Peripheral blood film:
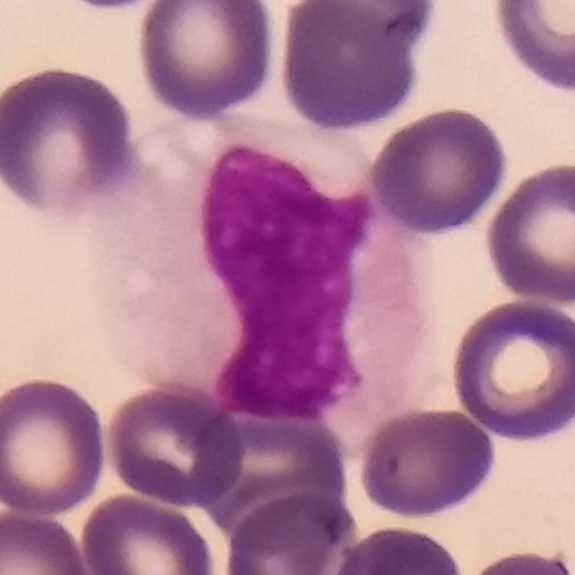

Specimen: peripheral blood smear.
Cell type: monocyte.
Lineage: myeloid.